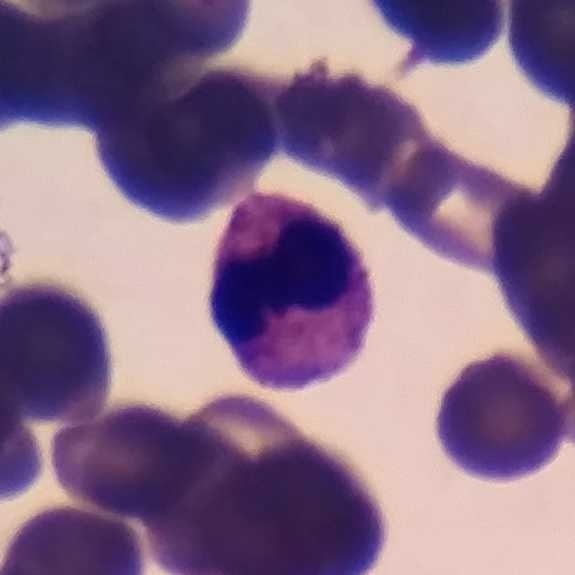
Morphology consistent with a neutrophilic granulocyte. Giemsa stain · peripheral blood smear.